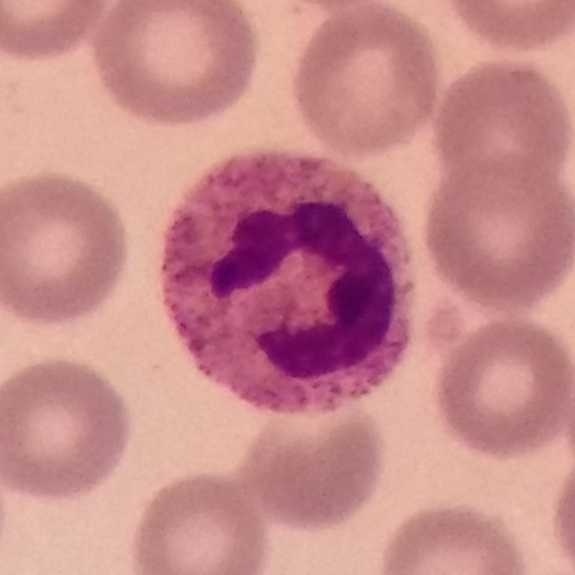

Q: What type of cell is this?
A: This is a neutrophilic granulocyte.